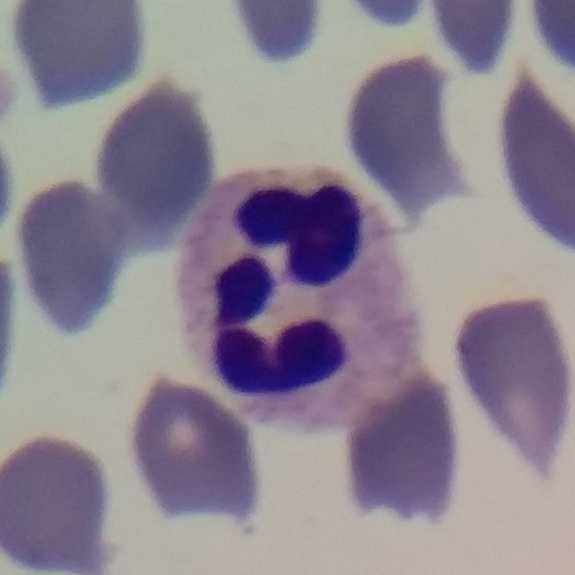Q: Which cell type is shown here?
A: This is a neutrophil.